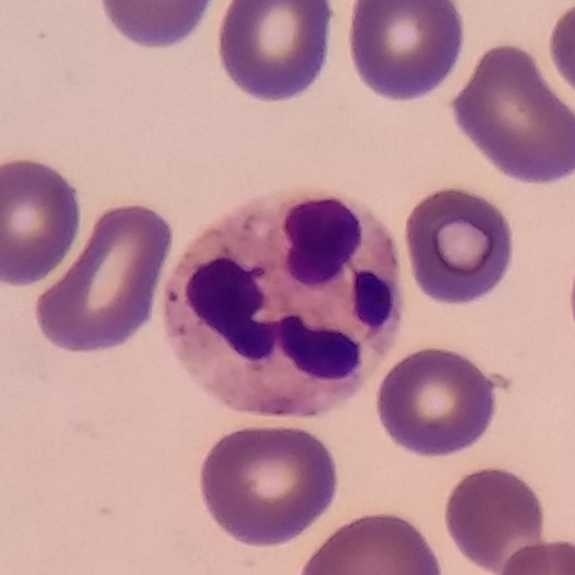 Image: Imaged at 100×. 575×575. Peripheral blood smear.

A neutrophilic granulocyte.